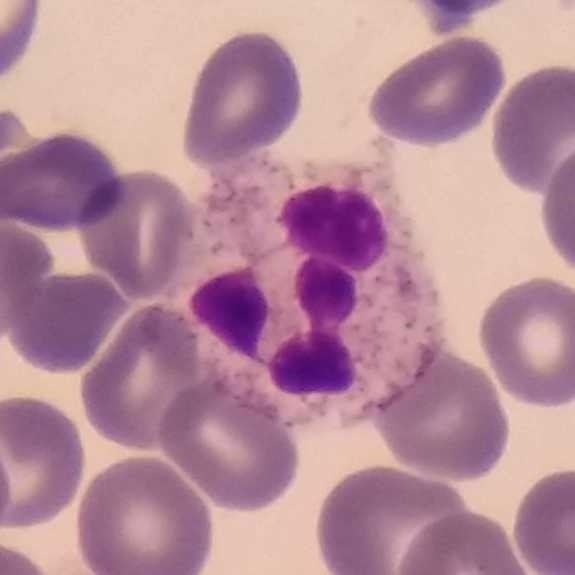

Context: Peripheral blood smear. {"cell_type": "neutrophil"}